Peripheral blood smear: 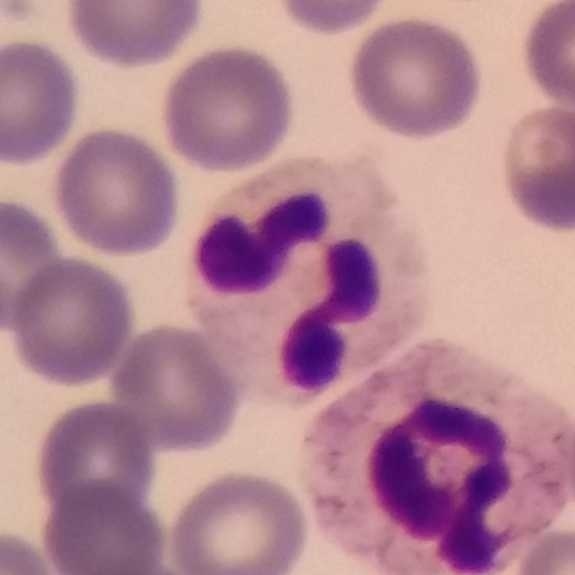

This is a neutrophil granulocyte.